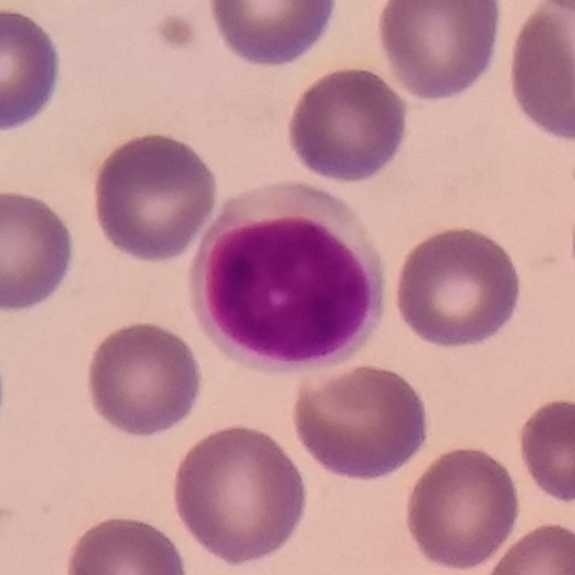 Showing a lymphocyte.
Image: Peripheral blood smear · imaged at 100×.